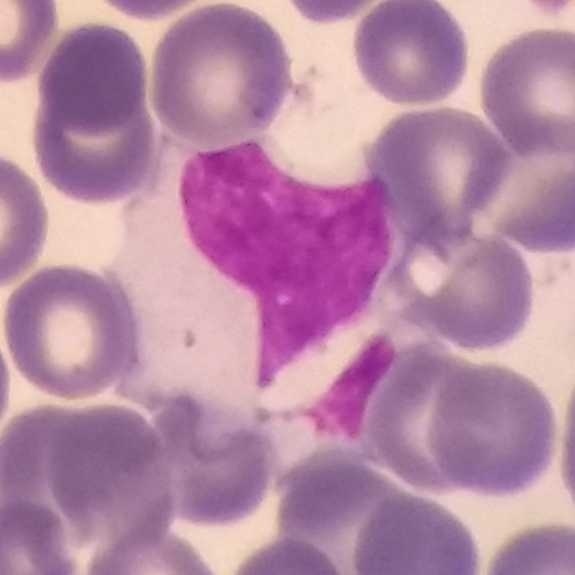Specimen: peripheral blood film.
Classification: monocyte.